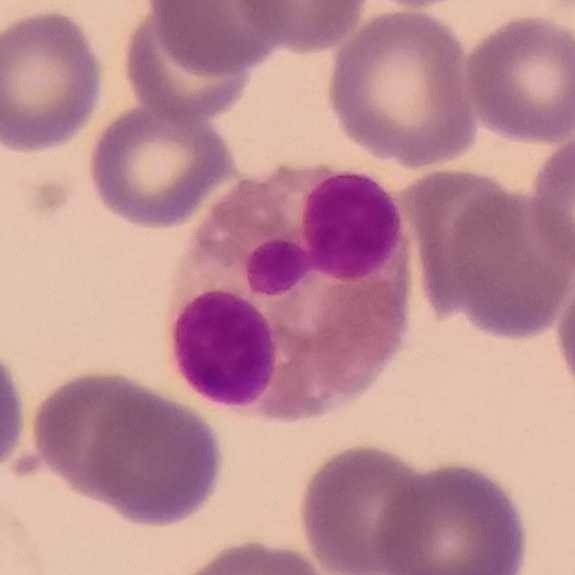Single cell identified as an eosinophilic granulocyte.